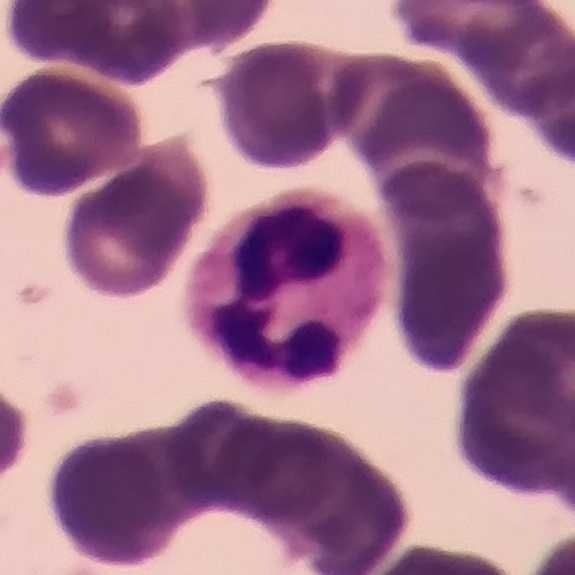 Showing a neutrophil granulocyte.

Acquisition: Phone-camera image taken through the microscope ocular; peripheral blood smear.